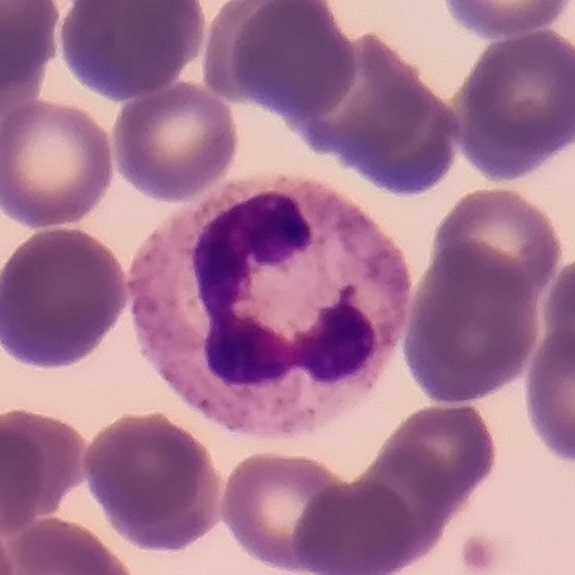 The white blood cell type is neutrophil.
Peripheral blood smear.